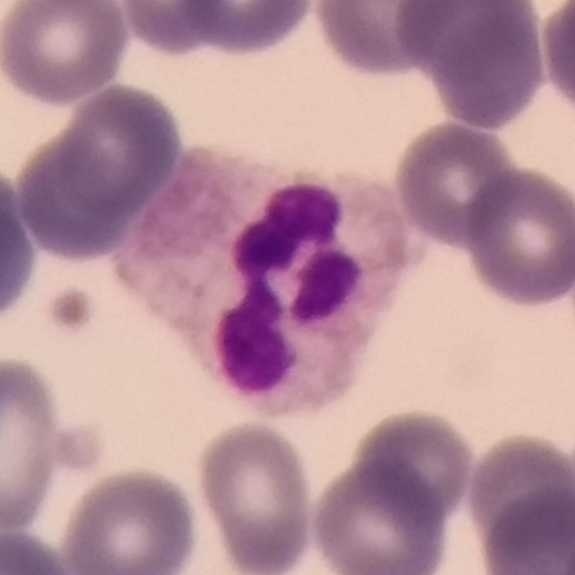 Impression → neutrophil granulocyte.

Peripheral blood film.